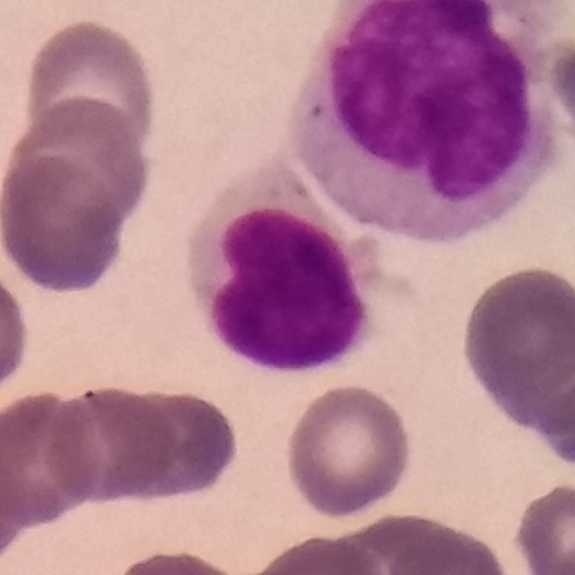
Context: Smartphone photomicrograph; peripheral blood film.

The cell is lymphocyte.